Peripheral blood film.
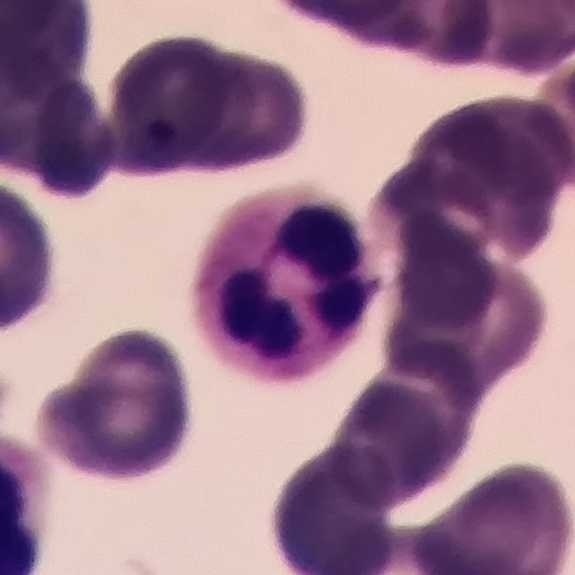

Specimen: peripheral blood film.
Classification: neutrophilic granulocyte.